Peripheral blood smear
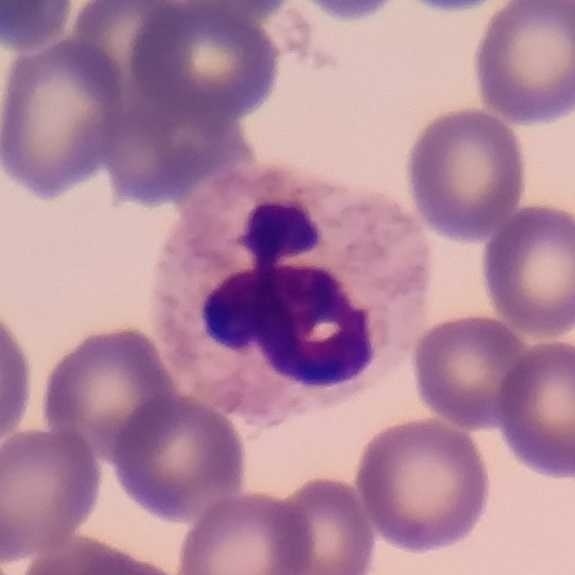 Morphological class = neutrophilic granulocyte.